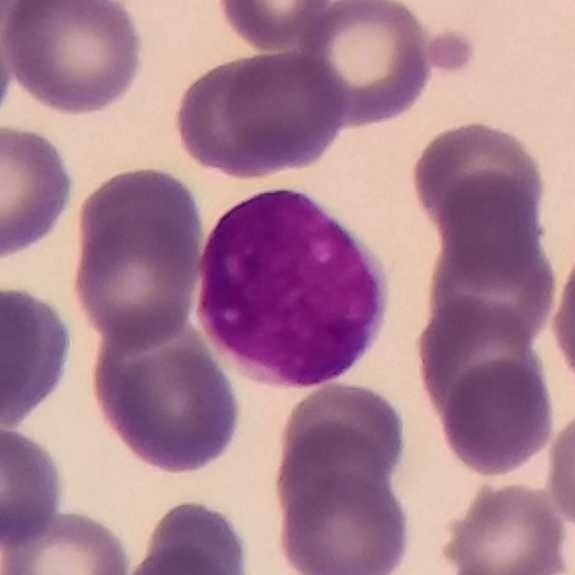 A lymphocyte.